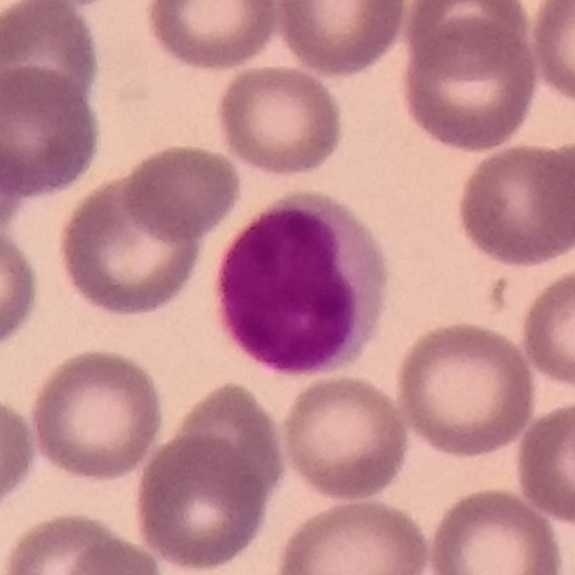
This is a lymphocyte. 575×575 px. Peripheral blood smear.